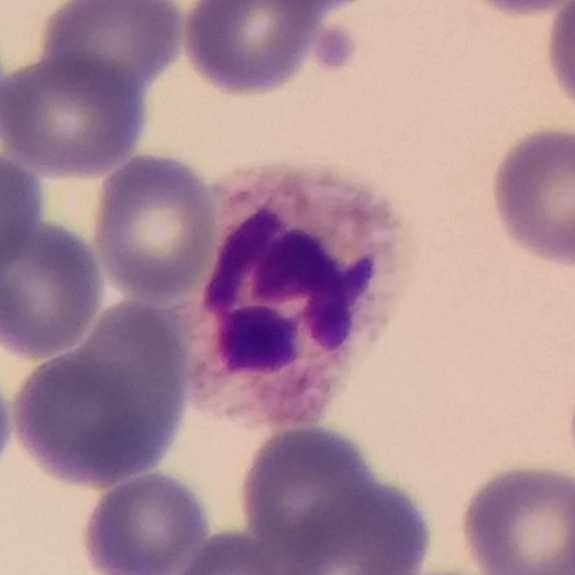 White blood cell type — neutrophilic granulocyte. Acquisition: Peripheral blood film.